Peripheral blood film — 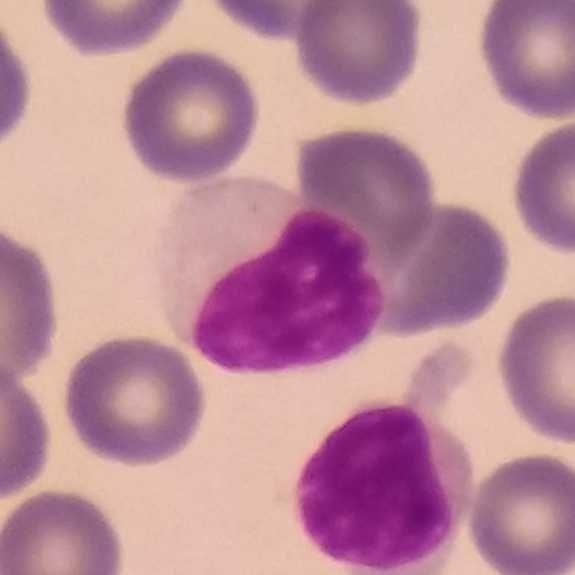Morphology consistent with a lymphocyte.